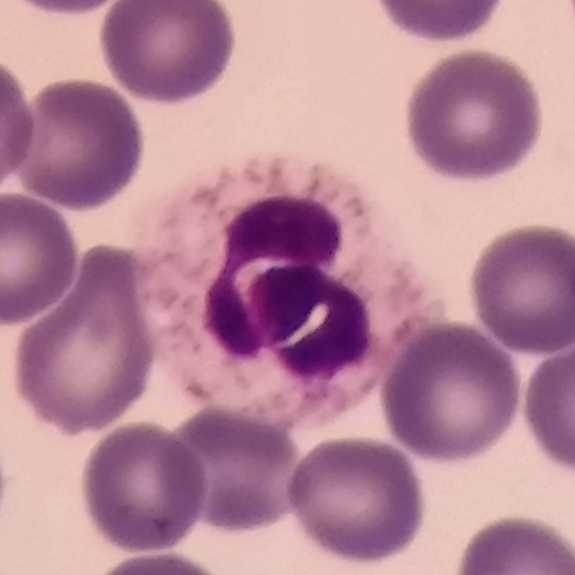

Identified as a neutrophil granulocyte. Image: Peripheral blood smear.